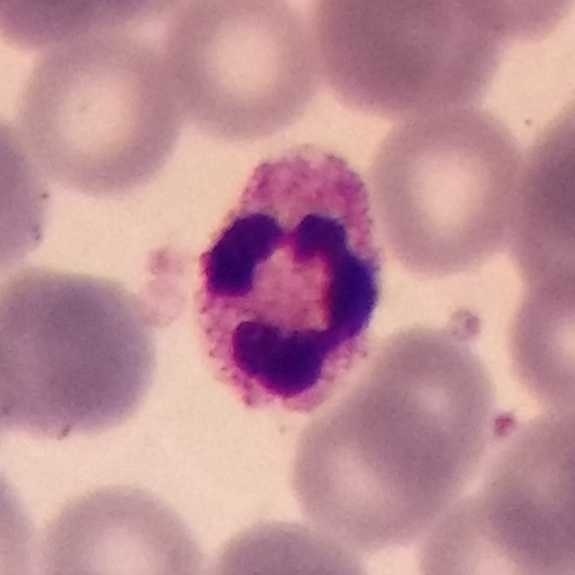
Specimen: peripheral blood film.
White blood cell type: neutrophilic granulocyte.
Lineage: myeloid. Acquisition: Single-cell field.